Peripheral blood smear.
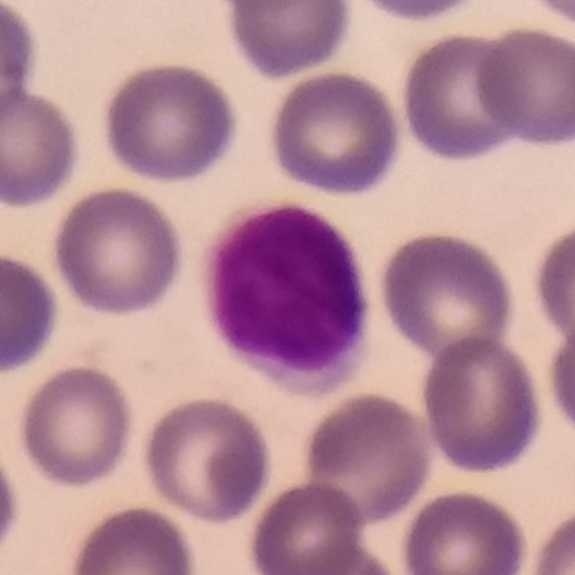
Morphological class — lymphocyte.